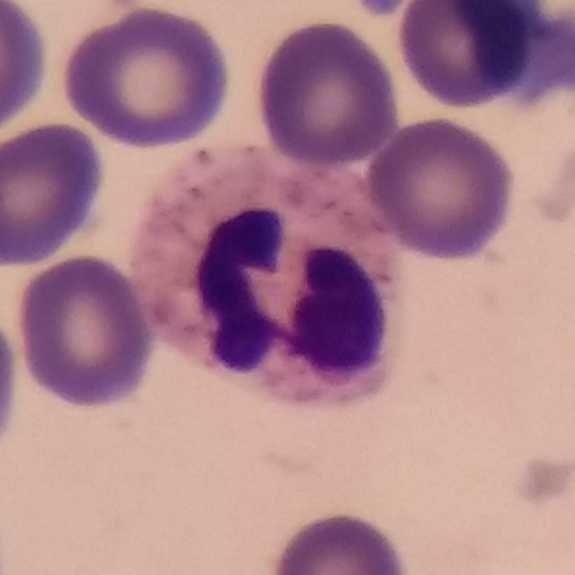Context: Peripheral blood smear.

Morphology consistent with a neutrophil.